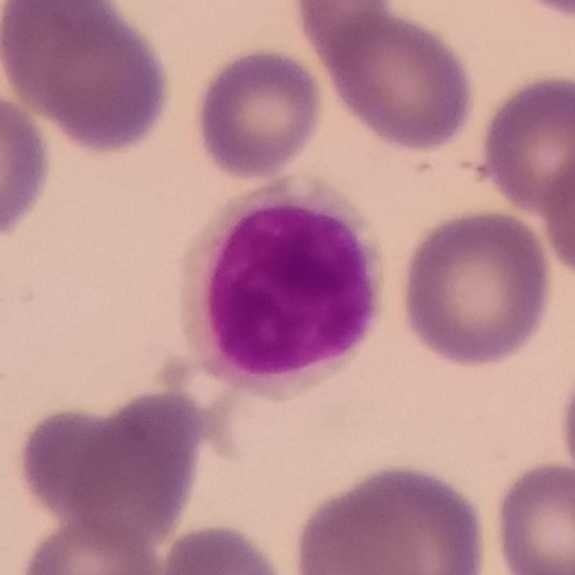This is a lymphocyte.
Preparation: Peripheral blood film.